Peripheral blood smear; Giemsa stain: 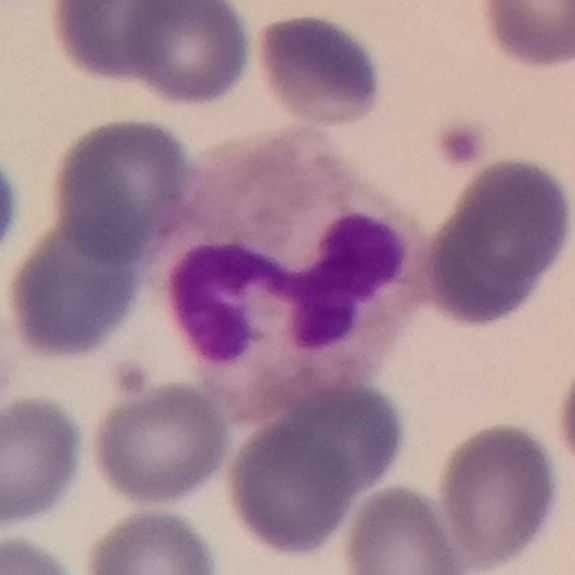The white blood cell in this image is a neutrophil granulocyte.